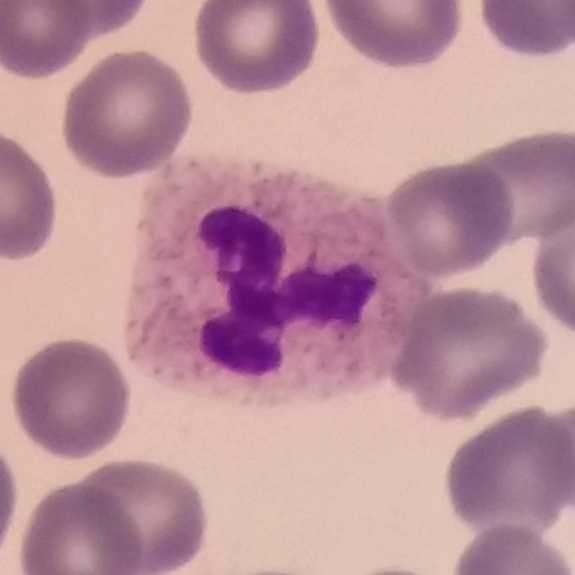 Morphological class = neutrophilic granulocyte.

Single-cell crop. Peripheral blood smear.